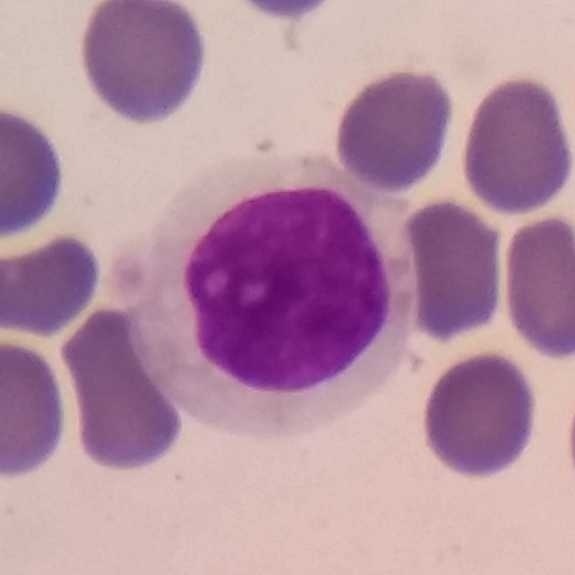

Classification — lymphocyte.

Context: Peripheral blood film.